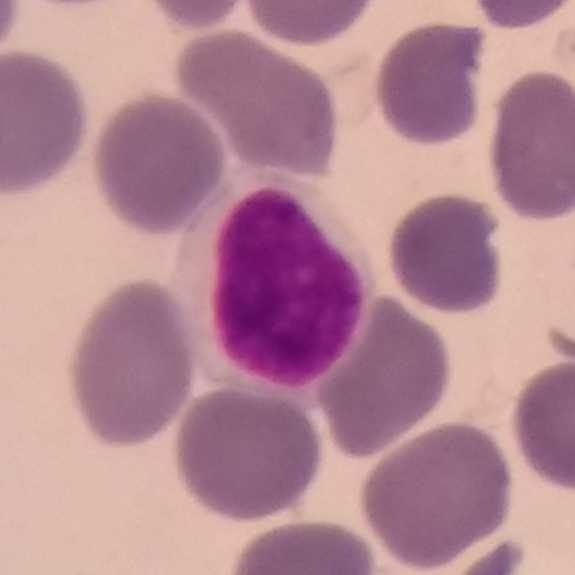
Lymphocyte. Preparation: Peripheral blood smear.